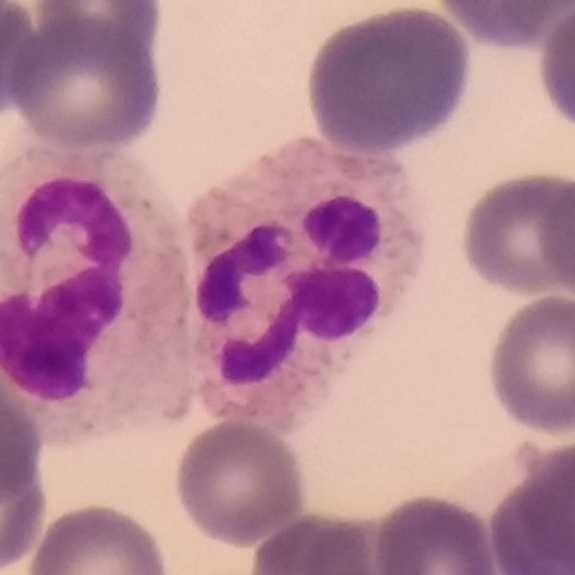 Morphology consistent with a neutrophil. Peripheral blood film.